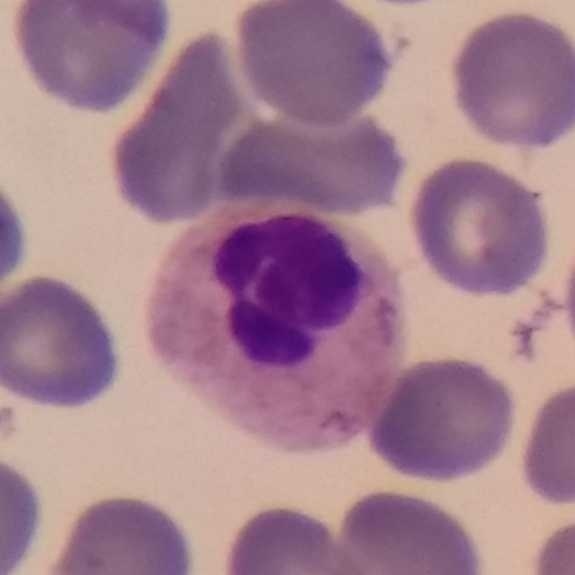Identified as a neutrophil granulocyte.
Peripheral blood film. Single-cell crop.